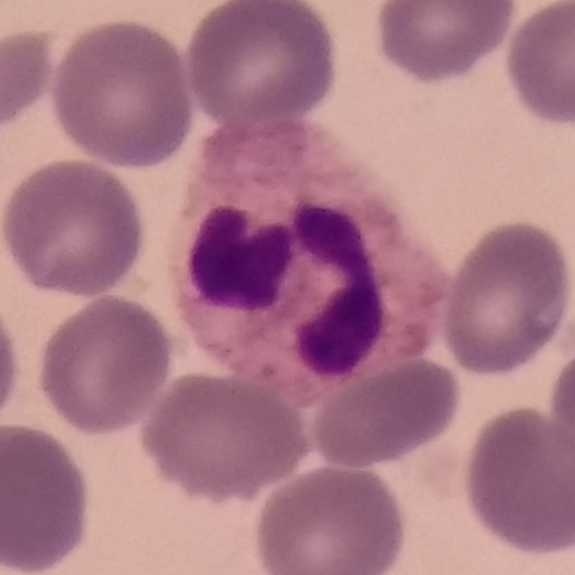

Acquisition: Peripheral blood film. Q: Identify the cell.
A: This is a neutrophil granulocyte.